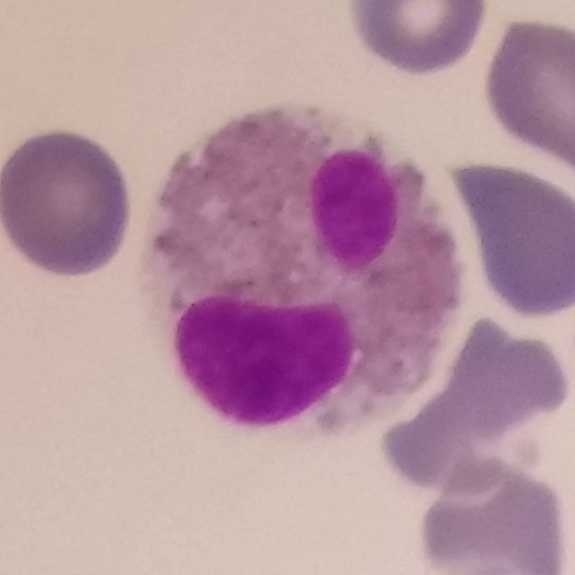

Impression — eosinophilic granulocyte.
Preparation: 100× magnification; single white blood cell cropped from the smear photograph; peripheral blood film.